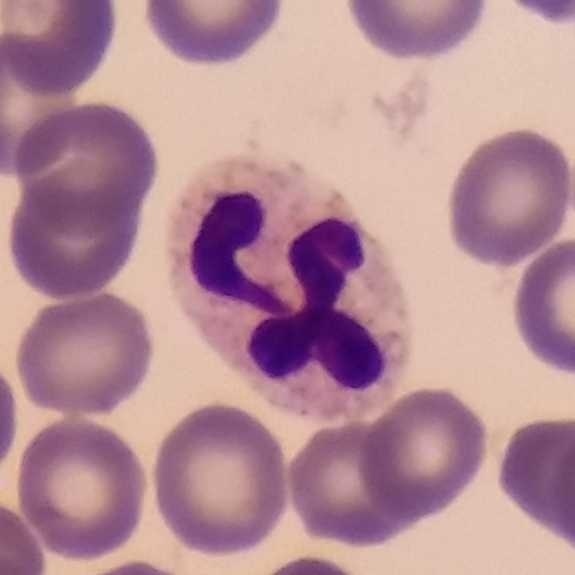 White blood cell type = neutrophil granulocyte.